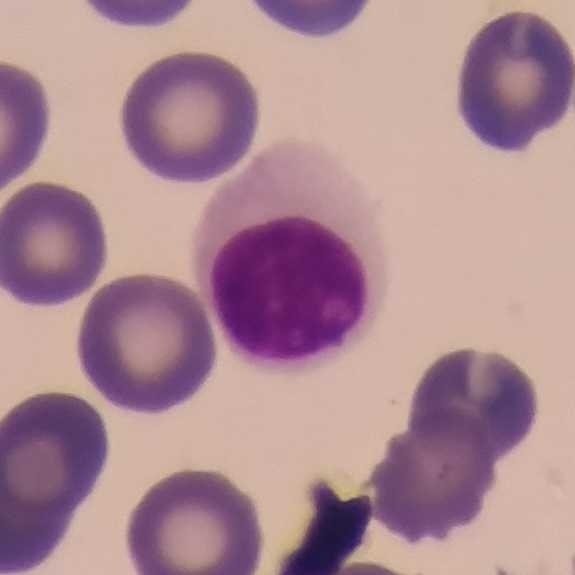 Acquisition: Giemsa stain · peripheral blood film. This is a lymphocyte.